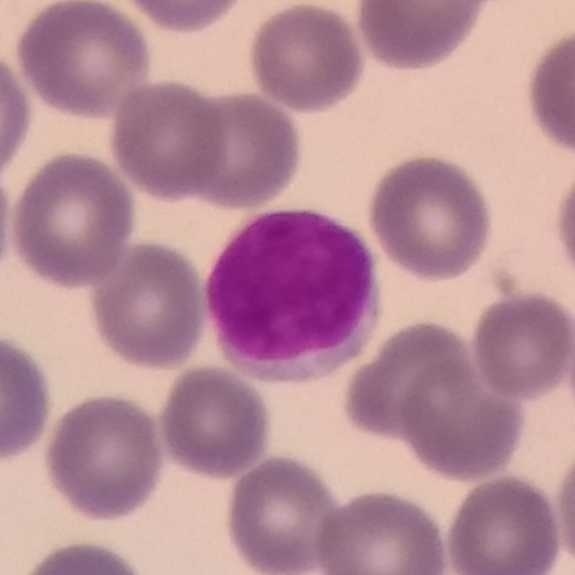 Specimen: peripheral blood film.
Morphological class: lymphocyte.
Lineage: lymphoid.